Giemsa-stained. Peripheral blood film. Phone-camera image taken through the microscope ocular.
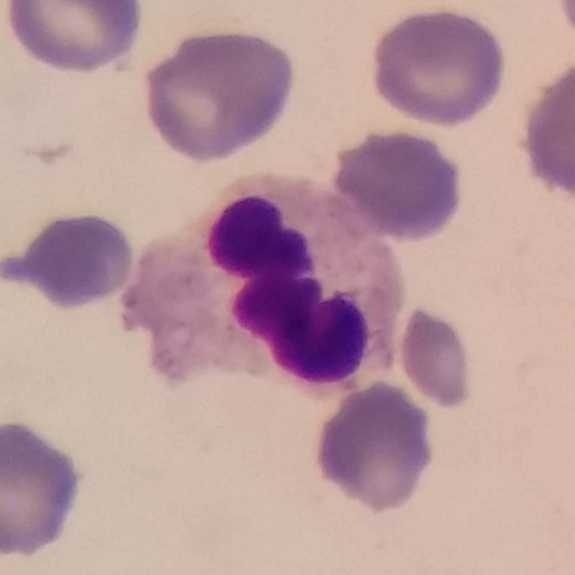
Cell type: neutrophil.